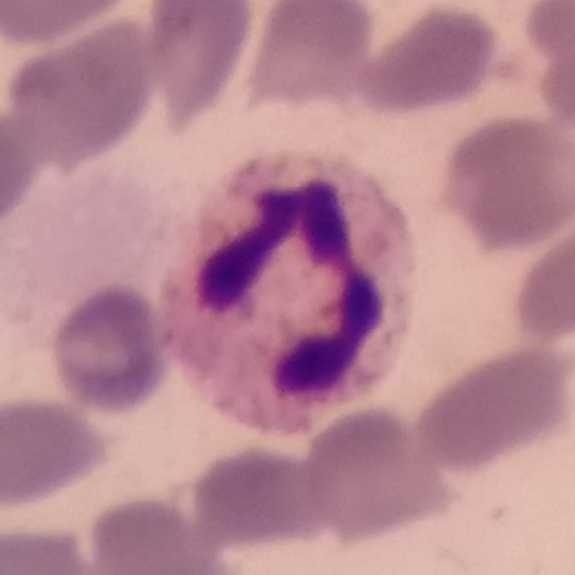
Specimen: peripheral blood smear.
Cell: neutrophil granulocyte.
Lineage: myeloid.